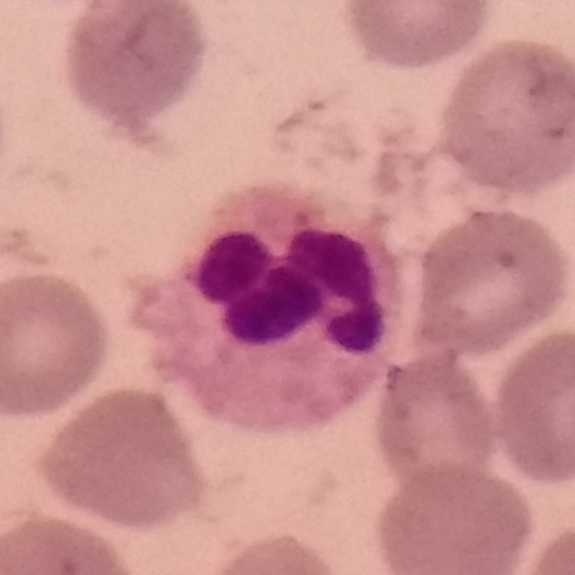
Context: Peripheral blood smear.

Q: Classify this leukocyte.
A: A neutrophilic granulocyte.